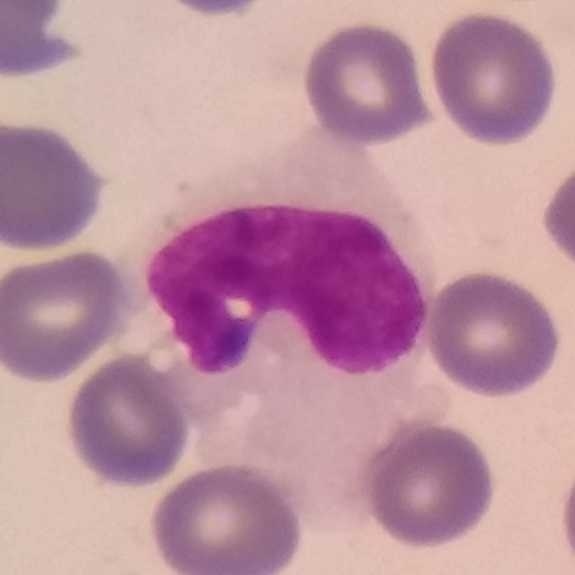

{"cell_type": "monocyte", "lineage": "myeloid"}